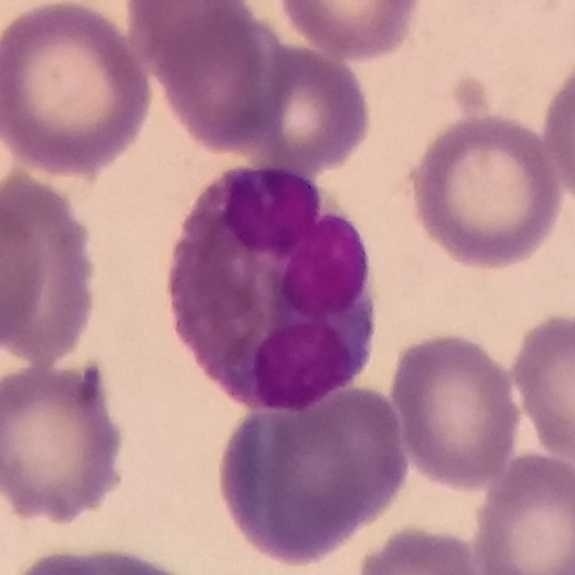 Q: Which cell type is shown here?
A: Eosinophil.

Peripheral blood film.